Peripheral blood smear:
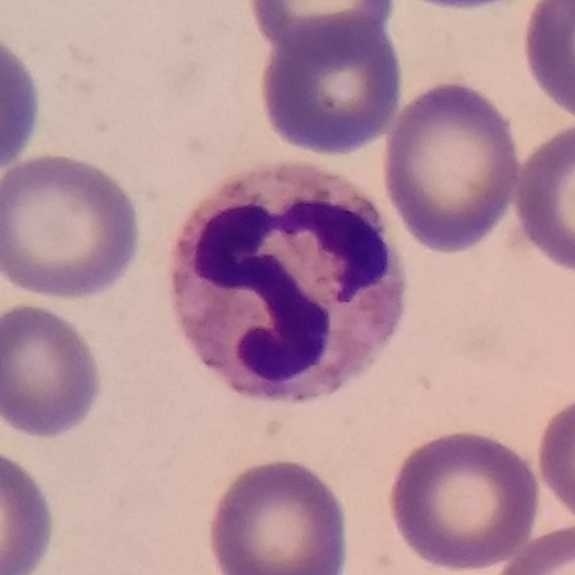

White blood cell type: neutrophil.